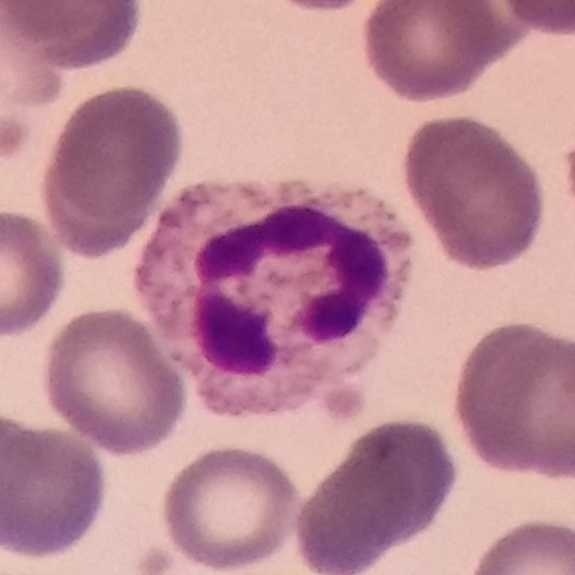Neutrophil.
Peripheral blood film. Giemsa-stained. Smartphone camera mounted on the microscope eyepiece.